Peripheral blood film:
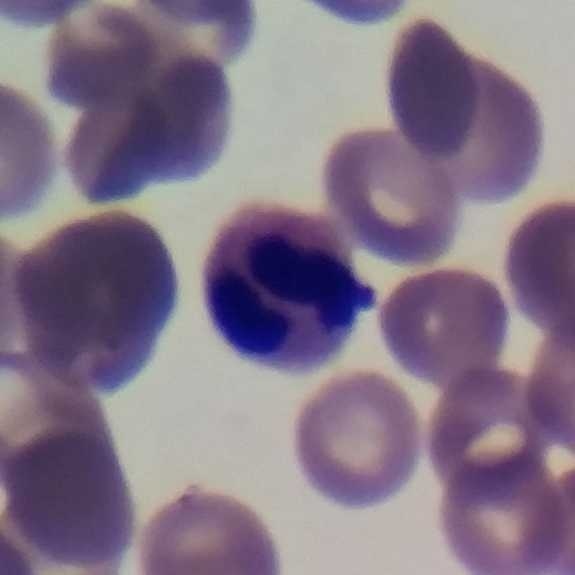

Q: Identify the cell.
A: It is a neutrophilic granulocyte.